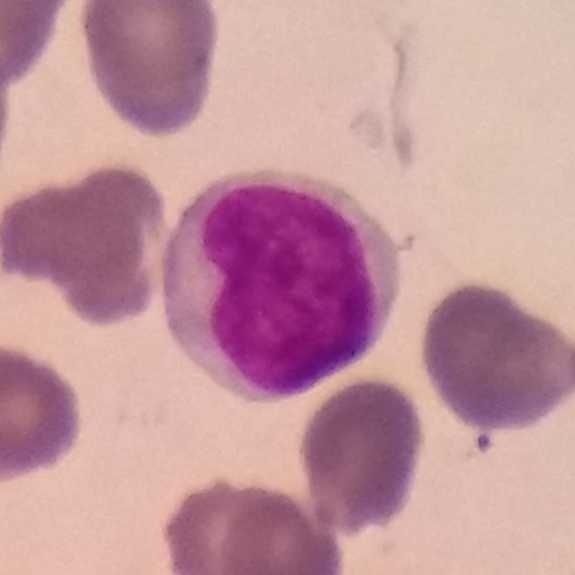Acquisition: Peripheral blood smear.
Impression → lymphocyte.